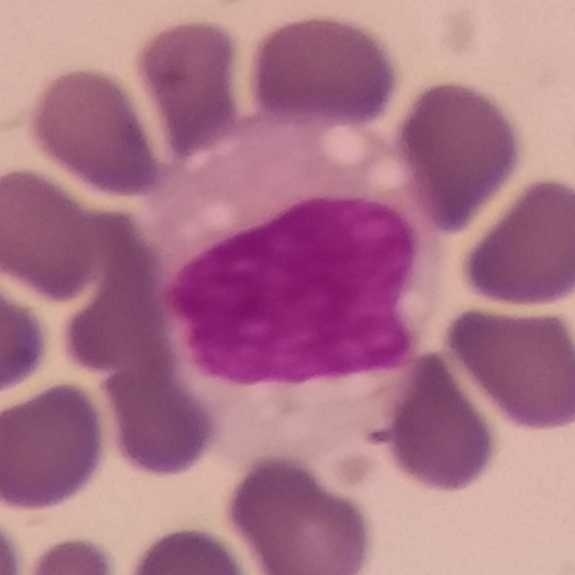
Classification = monocyte.
Preparation: Image size 575×575. Peripheral blood smear.